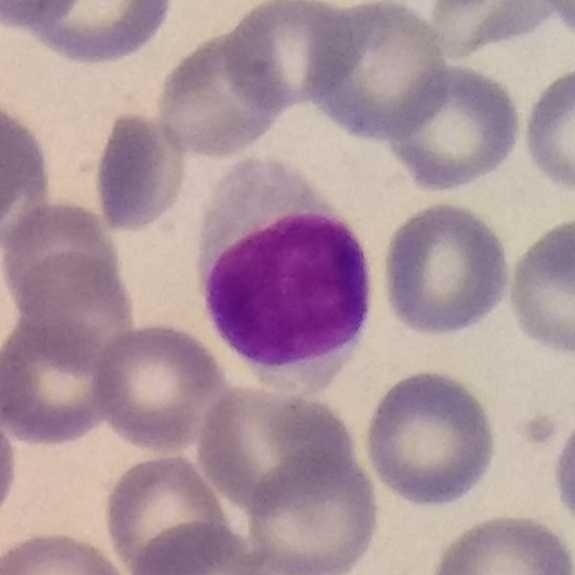
Peripheral blood smear. Single-cell field.
Q: What cell is this?
A: It is a lymphocyte.